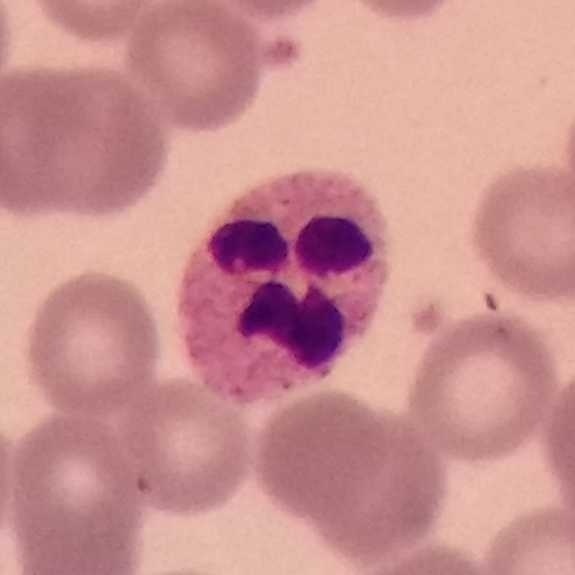

The classification is neutrophilic granulocyte.